Peripheral blood smear.
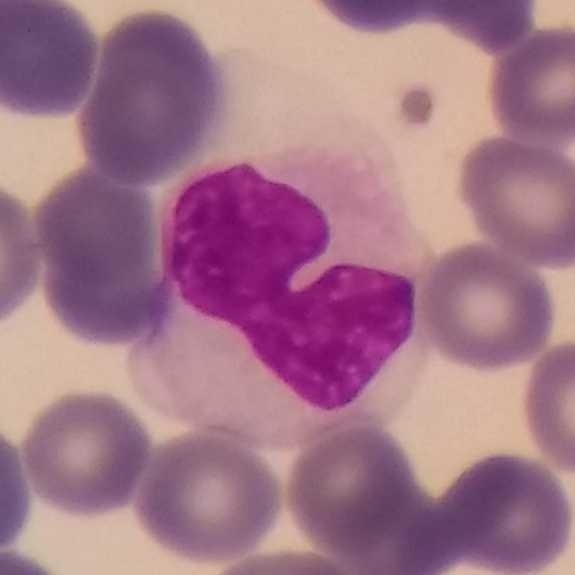
Specimen: peripheral blood smear.
Cell: monocyte.
Lineage: myeloid.